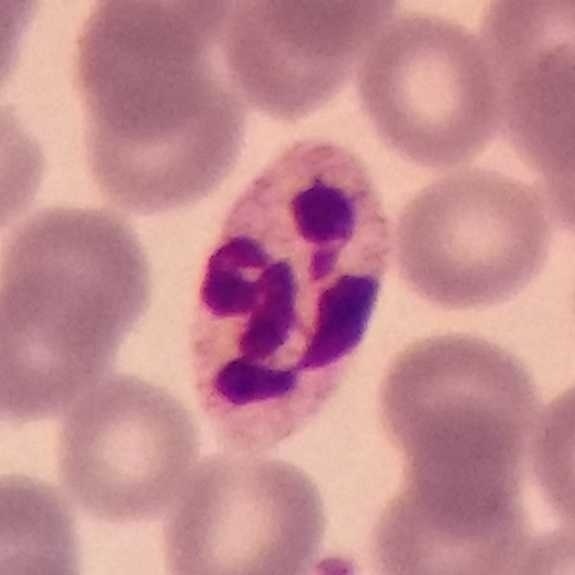
Morphological class: neutrophilic granulocyte.